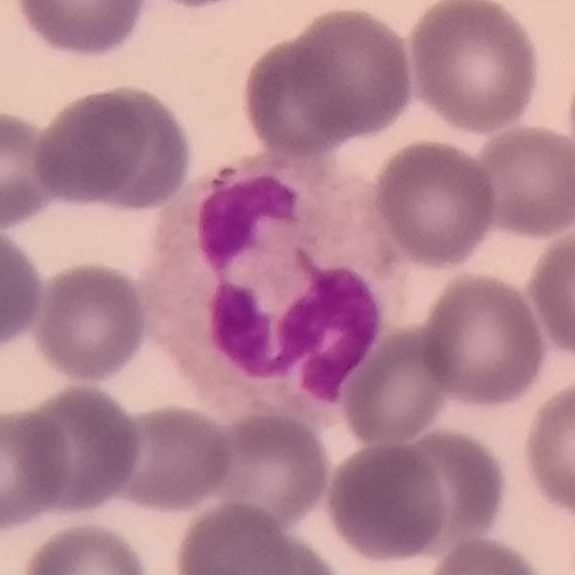The cell shown is a neutrophilic granulocyte.
Peripheral blood film; 575×575; phone-camera image taken through the microscope ocular.